Peripheral blood film; Giemsa stain — 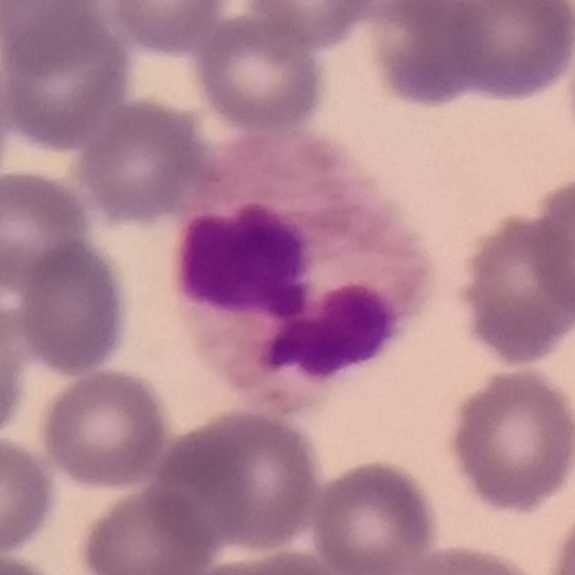Q: What is the morphological classification of this cell?
A: A neutrophil granulocyte.